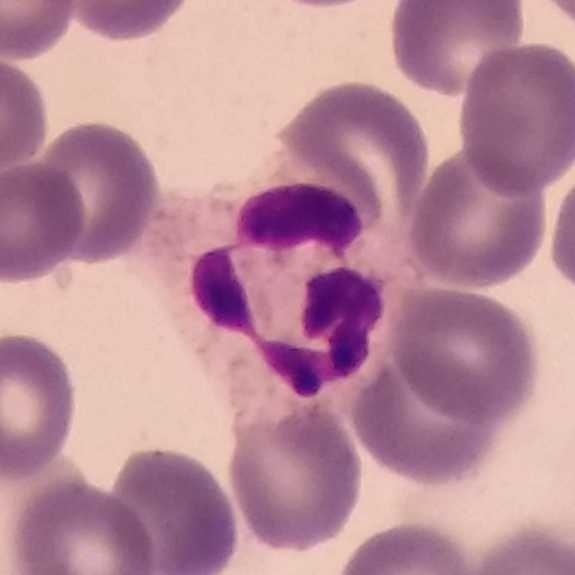
Peripheral blood smear · smartphone camera mounted on the microscope eyepiece.

Showing a neutrophil.